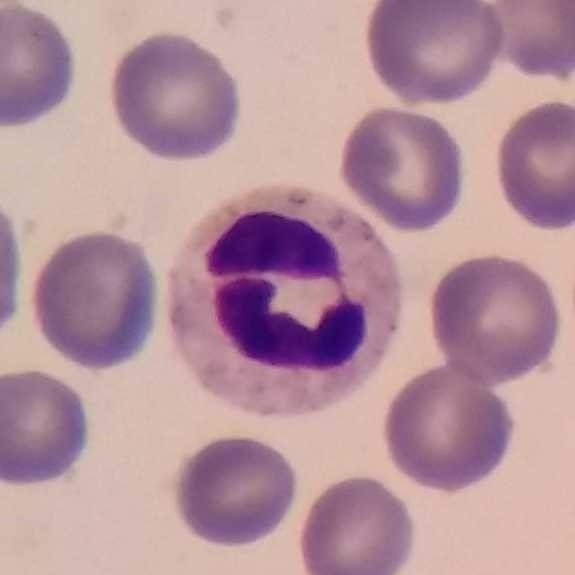
Morphology consistent with a neutrophil.